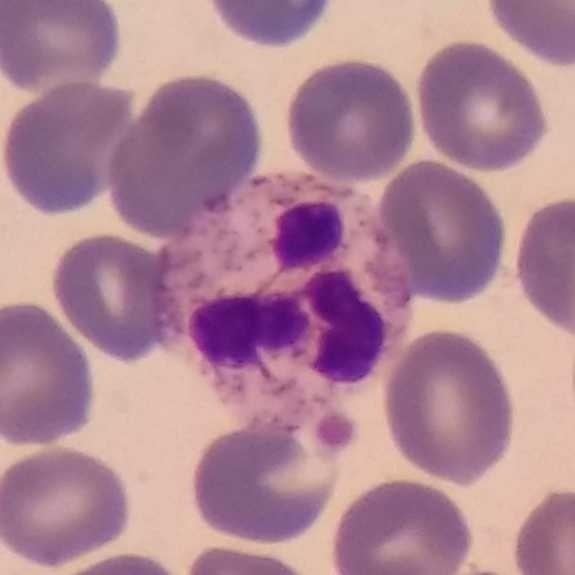
Impression → neutrophil.